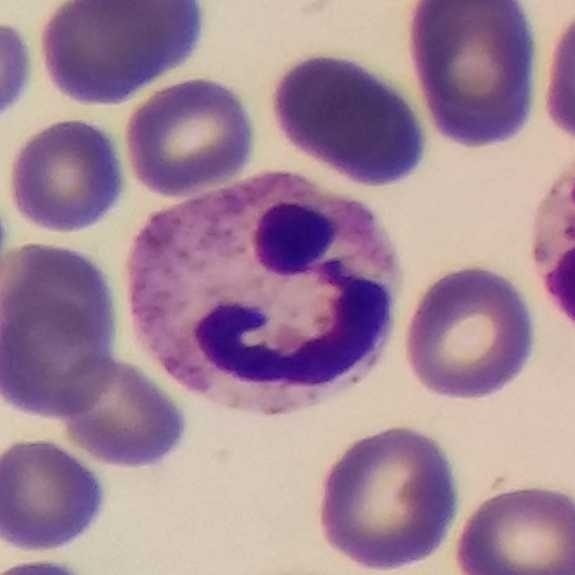
Image: Peripheral blood film. Q: Which cell type is shown here?
A: A neutrophil.